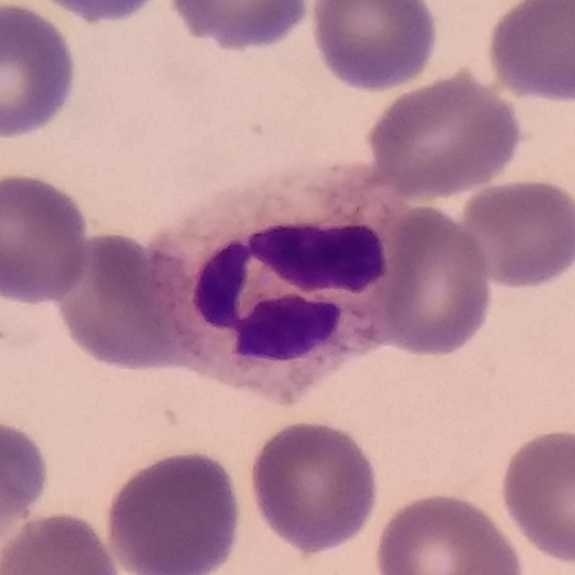 Morphology consistent with a neutrophil.

Context: Peripheral blood film.